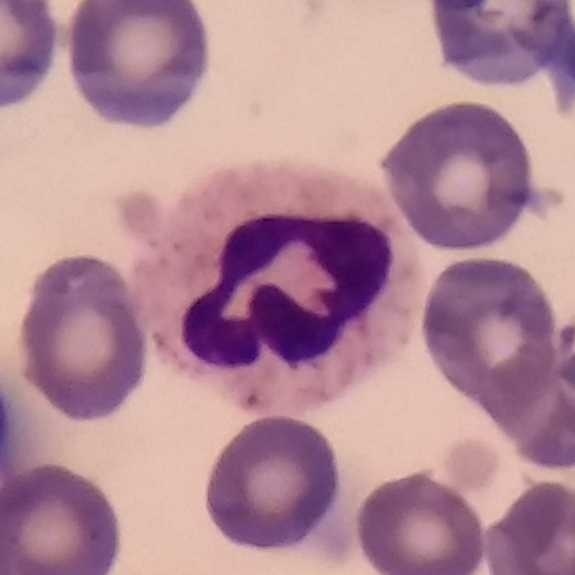Acquisition: Peripheral blood smear. 575×575. Stained with Giemsa.

Showing a neutrophil granulocyte.